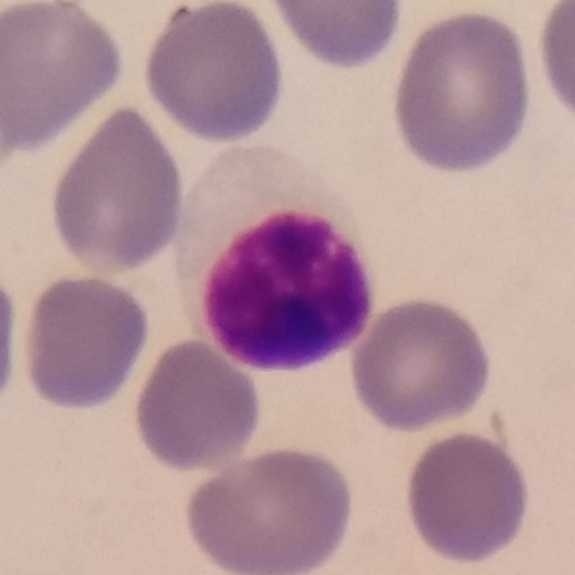 Context: Peripheral blood smear. Morphology — lymphocyte.